Peripheral blood film. Single white blood cell cropped from the smear photograph — 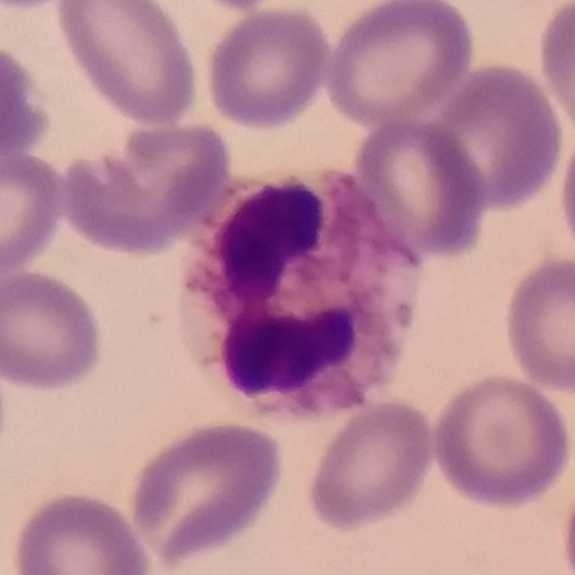 The cell is neutrophil granulocyte.